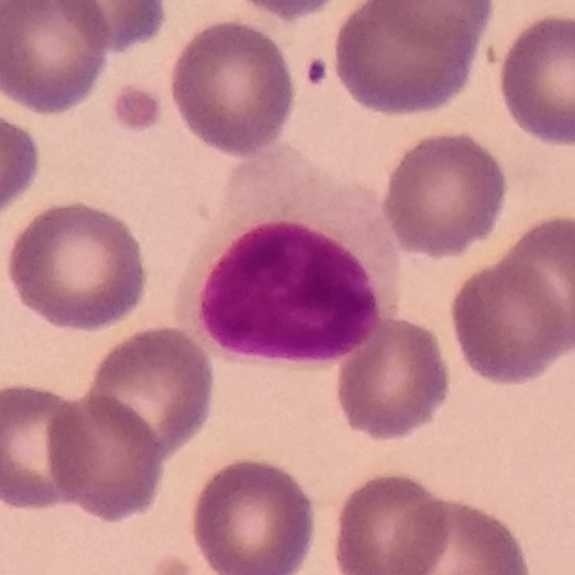

Preparation: Peripheral blood smear; 575×575 px. Cell type = lymphocyte.